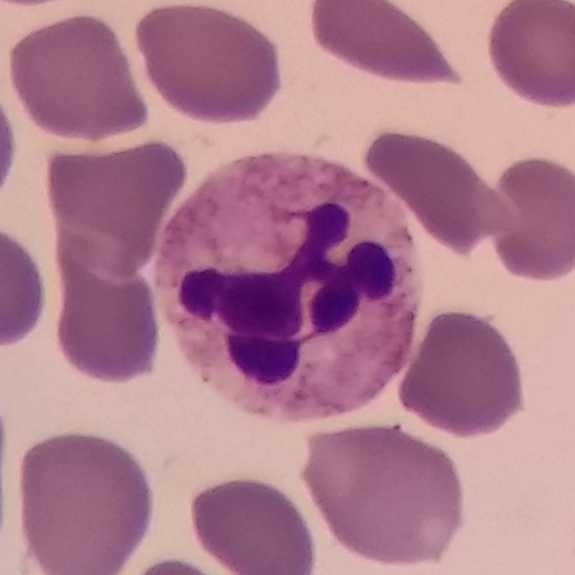

Q: What is the morphological classification of this cell?
A: Neutrophilic granulocyte.
Peripheral blood smear.